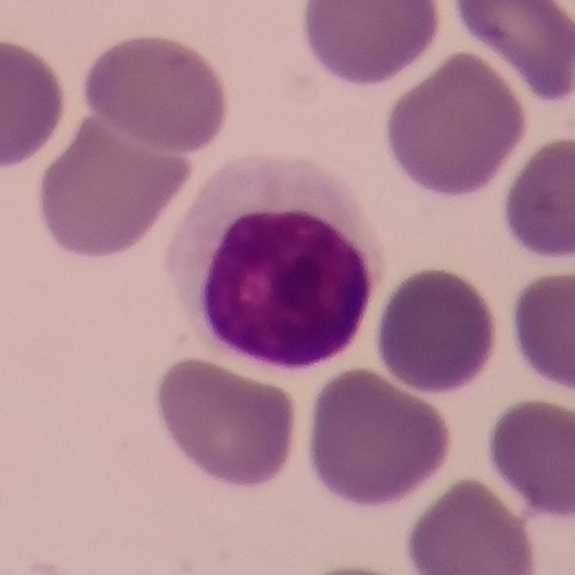

White blood cell type — lymphocyte.

Preparation: Peripheral blood smear · imaged at 100×.